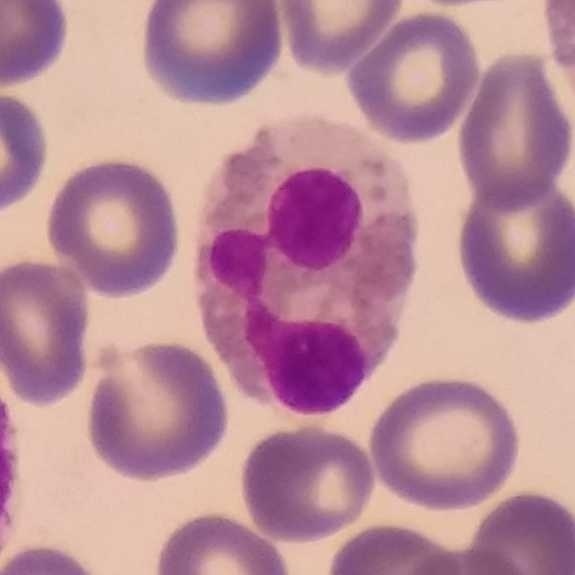 Classification — eosinophilic granulocyte.

Smartphone camera mounted on the microscope eyepiece. Peripheral blood film.